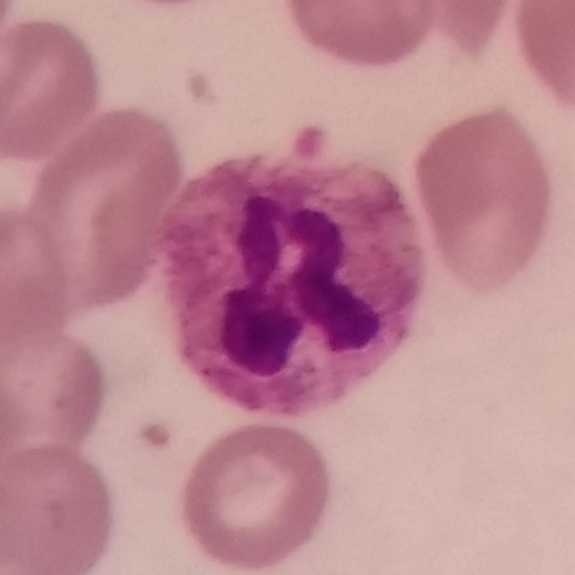 Preparation: Peripheral blood film.
Q: What type of cell is this?
A: This is a neutrophil.